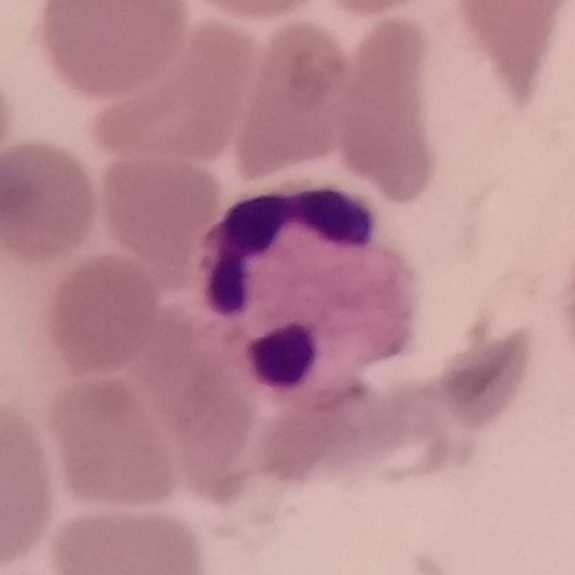

Peripheral blood smear.

This is a neutrophil.